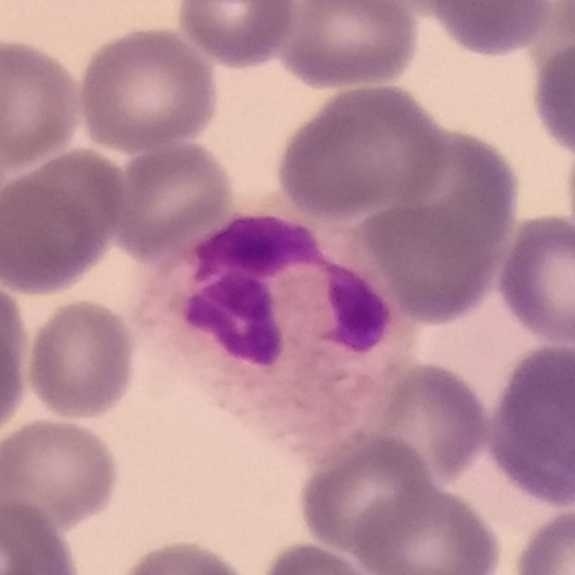
Cell — neutrophil.
Acquisition: Peripheral blood film.